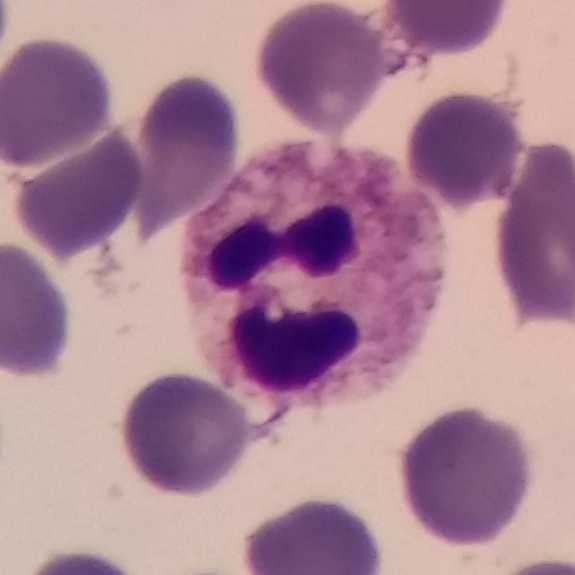 Context: Peripheral blood film. {"cell_type": "neutrophil granulocyte"}